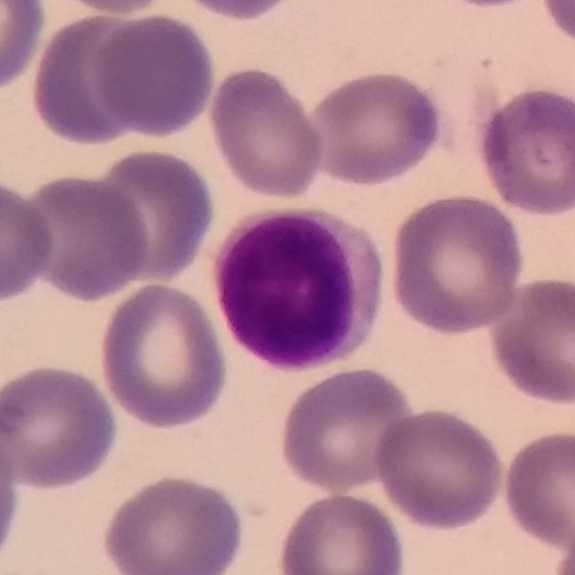

A lymphocyte on a peripheral blood smear.